Photographed through a light microscope with a smartphone camera; peripheral blood film; single-cell field
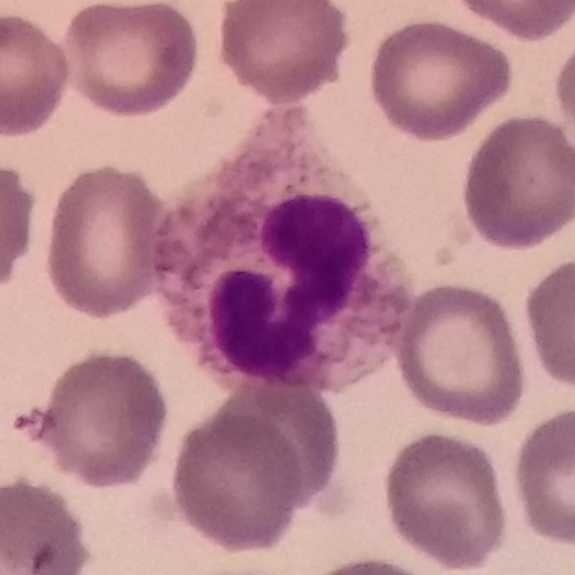
The morphological class is neutrophil granulocyte.